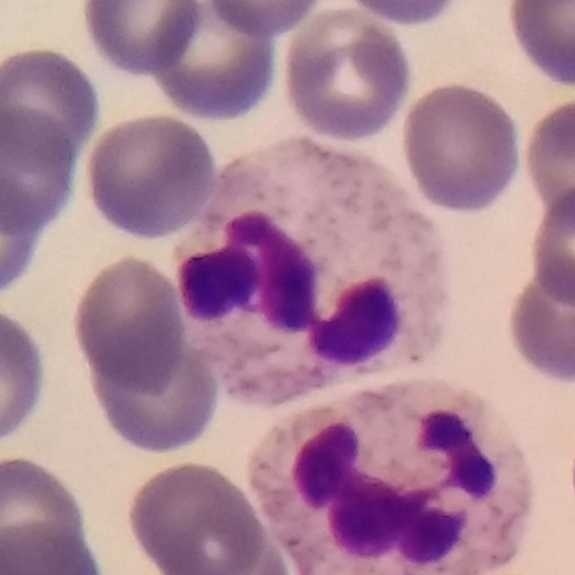

A neutrophilic granulocyte on a peripheral blood smear.